Peripheral blood film: 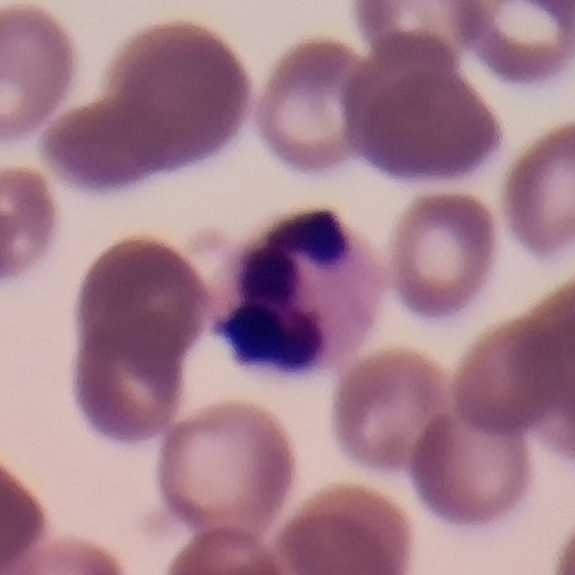

The cell shown is a neutrophilic granulocyte.